Peripheral blood smear. Smartphone camera mounted on the microscope eyepiece: 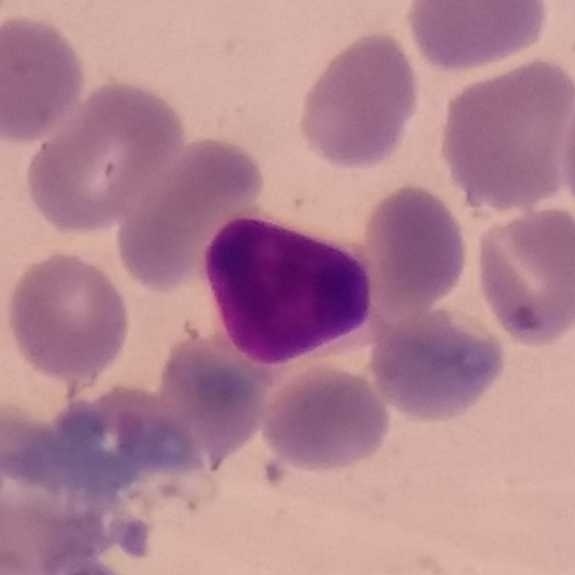
Q: What is the morphological classification of this cell?
A: It is a lymphocyte.